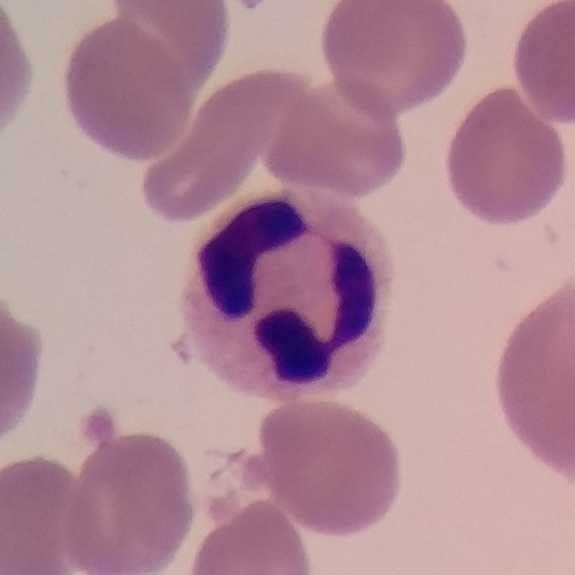 The white blood cell in this image is a neutrophil granulocyte.

Image: Peripheral blood smear.